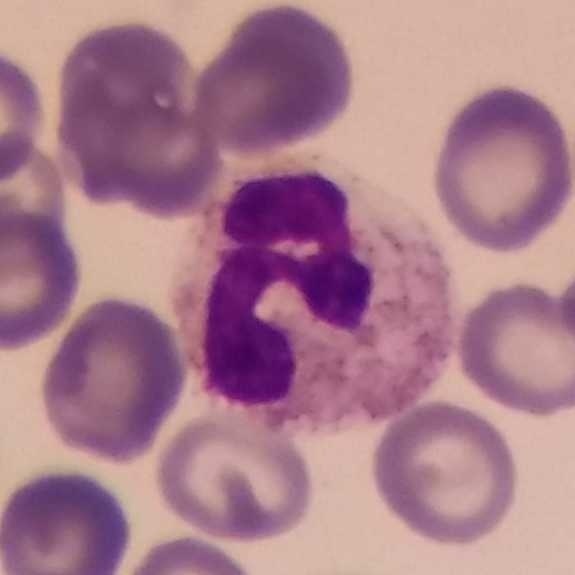

Image: Peripheral blood smear.

Morphology — neutrophilic granulocyte.